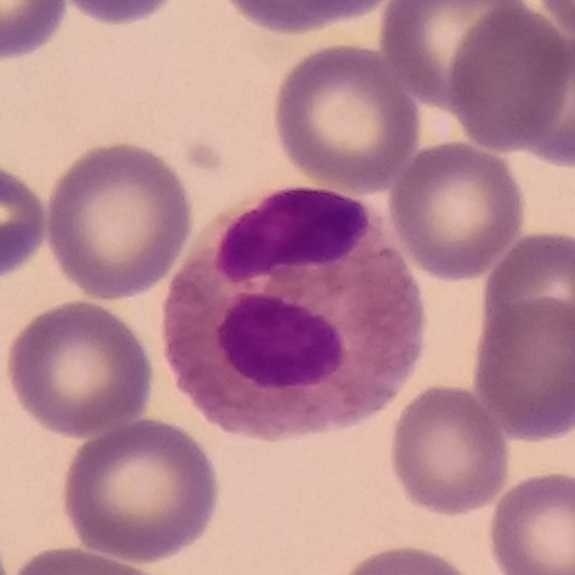 Morphology consistent with an eosinophilic granulocyte.